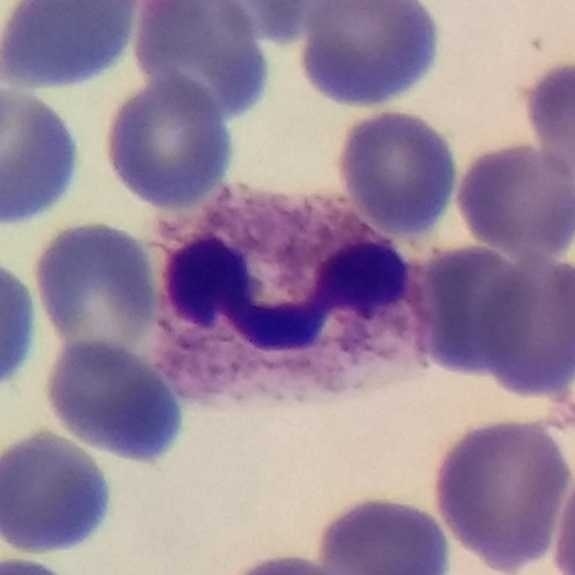Q: What type of cell is this?
A: Neutrophil granulocyte.